Peripheral blood film.
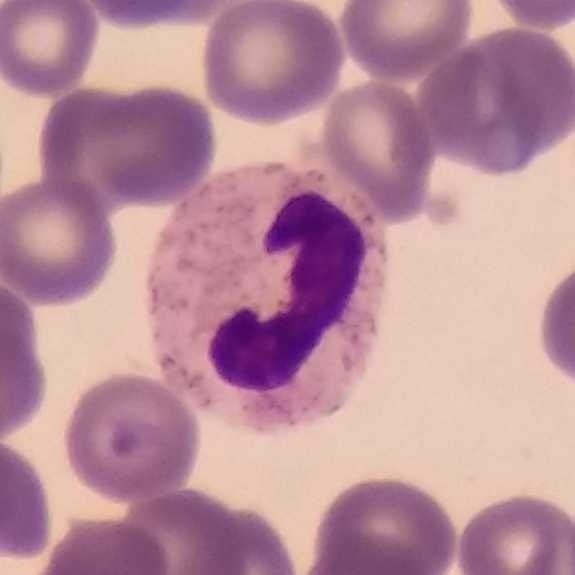
Q: Classify this leukocyte.
A: A neutrophilic granulocyte.